Peripheral blood smear:
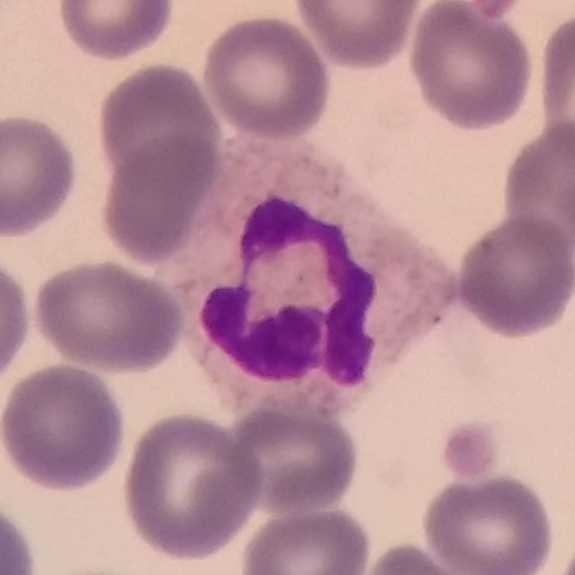White blood cell type = neutrophil.